Peripheral blood smear.
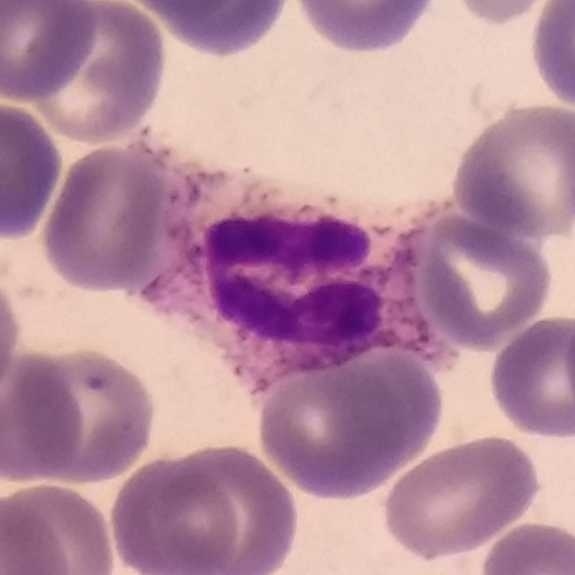 This is a neutrophilic granulocyte.